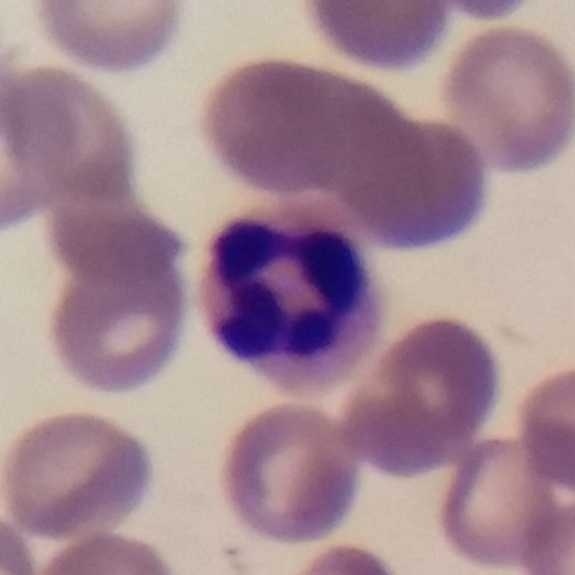

Specimen: peripheral blood film.
Morphological class: neutrophilic granulocyte.
Lineage: myeloid.